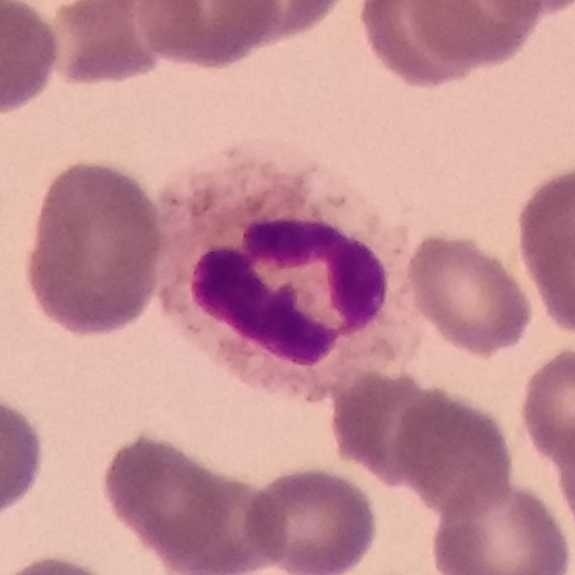

Q: What is the morphological classification of this cell?
A: This is a neutrophilic granulocyte.